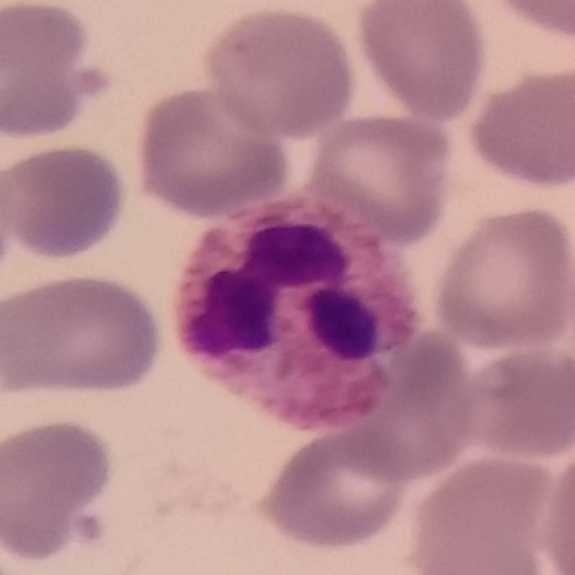
Neutrophilic granulocyte.
Cropped to one leukocyte; peripheral blood film.